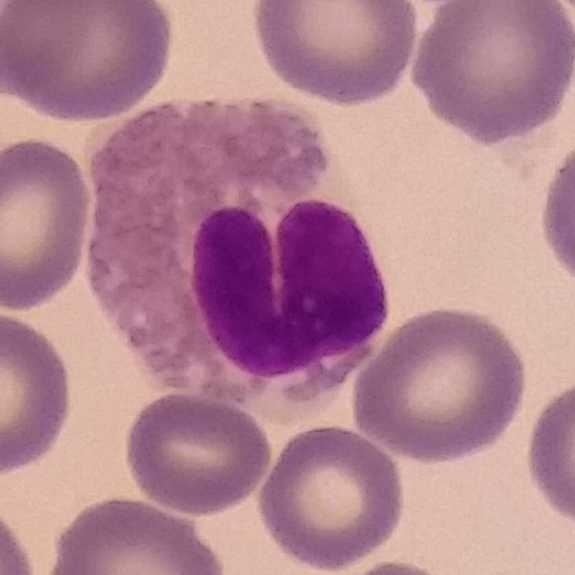Preparation: 100× magnification · peripheral blood film.
The white blood cell type is eosinophil.